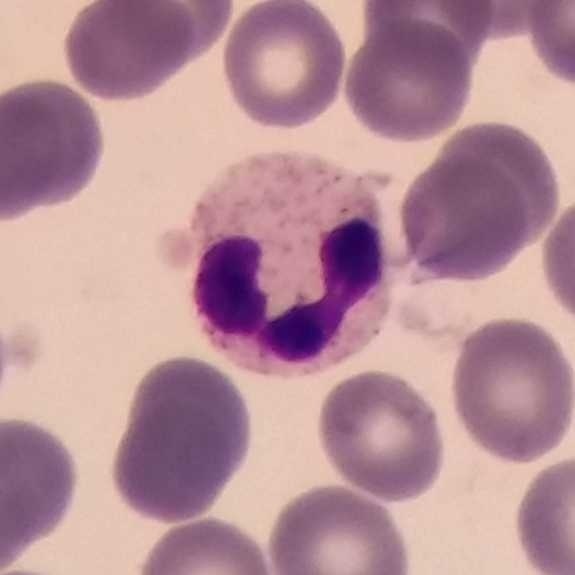Morphological class = neutrophil. Photographed through a light microscope with a smartphone camera. Giemsa stain. Peripheral blood film.